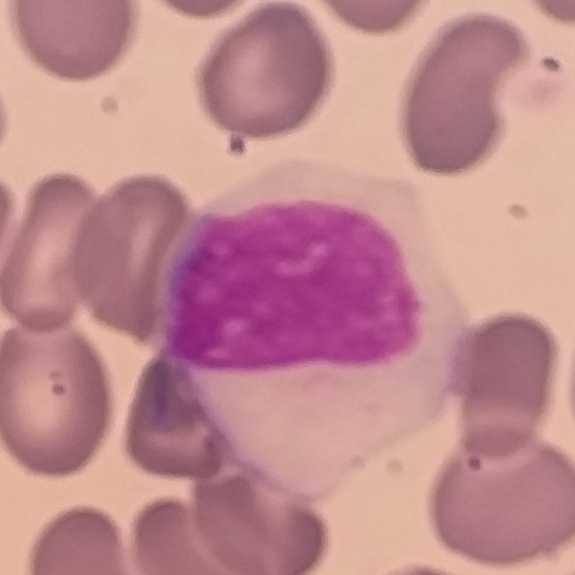
Monocyte.